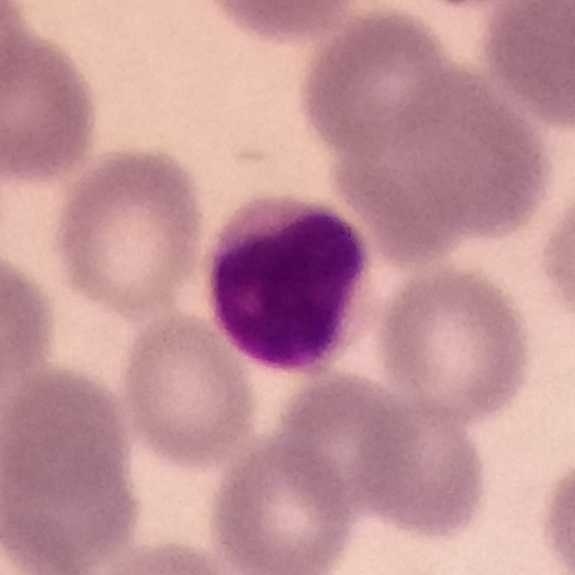
Q: What type of cell is this?
A: A lymphocyte. Peripheral blood smear.